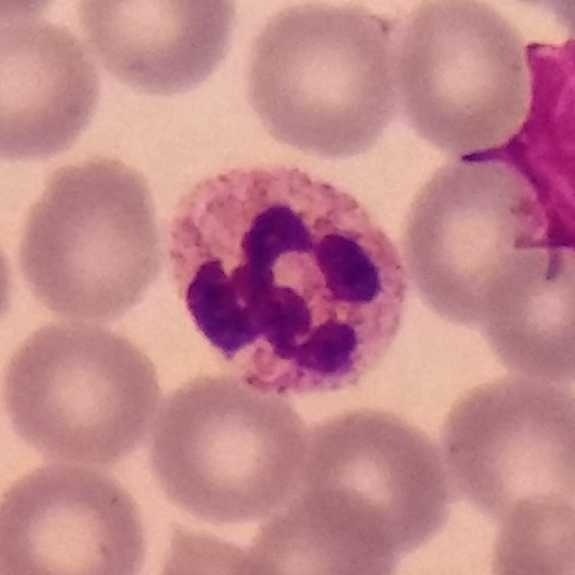

Cell type — neutrophil.

Acquisition: Peripheral blood smear.